Cropped to one leukocyte. Peripheral blood film.
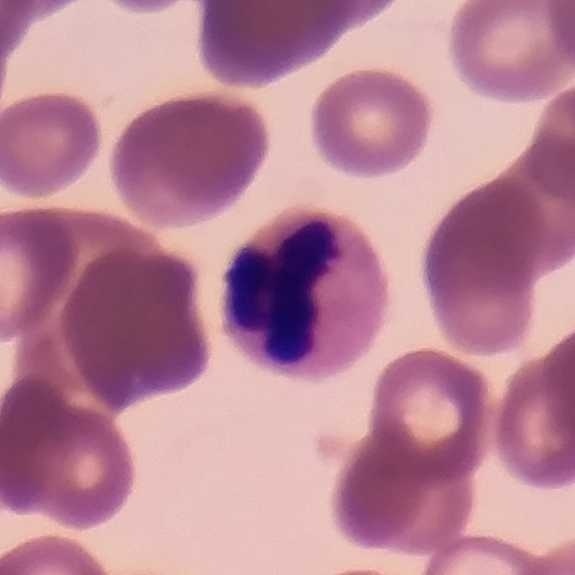

Cell type: neutrophilic granulocyte.